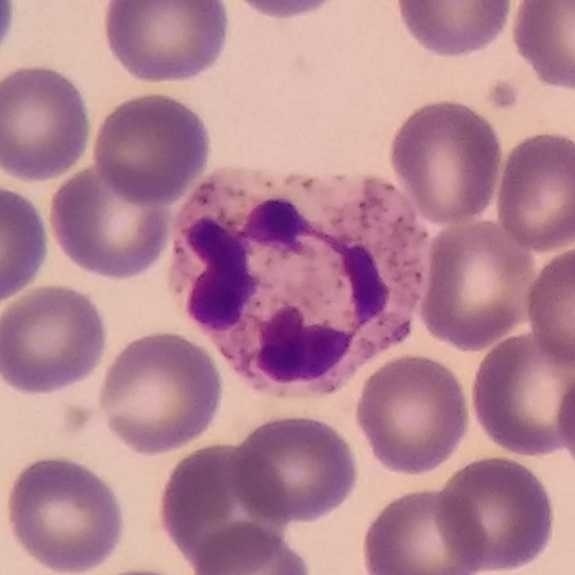

White blood cell type — neutrophil.
Preparation: Peripheral blood film.